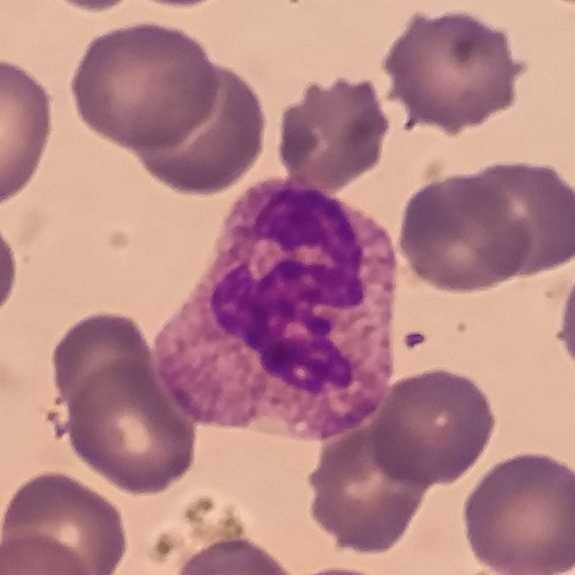

Image: Giemsa stain · peripheral blood film. The cell shown is a neutrophil.